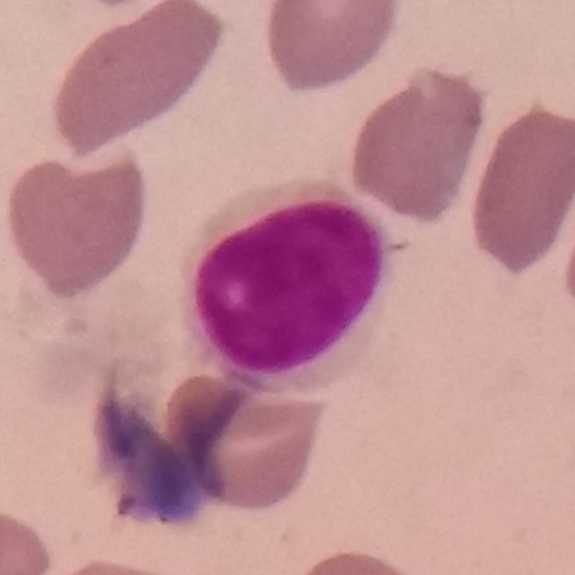
Showing a lymphocyte.
Peripheral blood film; Giemsa-stained.